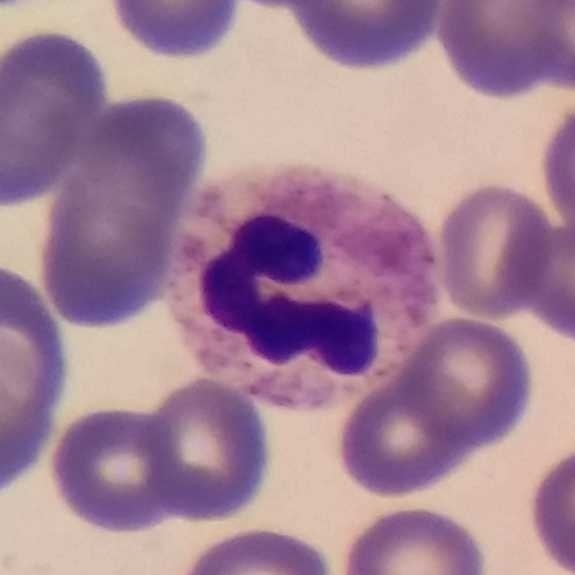
Context: Peripheral blood smear.
Identified as a neutrophilic granulocyte.